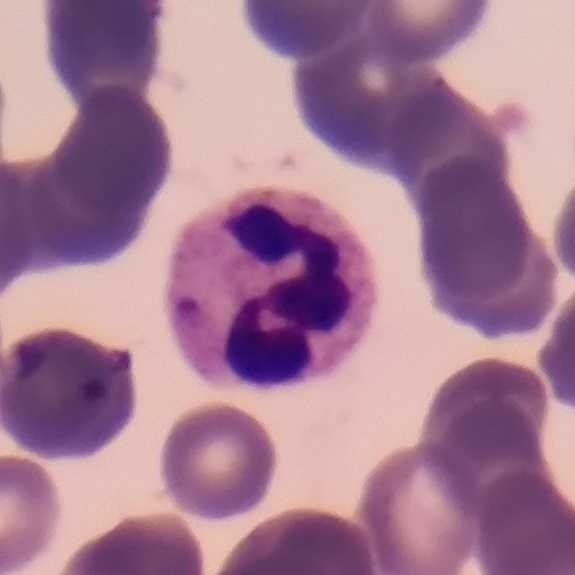

Image: Peripheral blood smear. Cell type — neutrophilic granulocyte.